Peripheral blood film · smartphone photomicrograph: 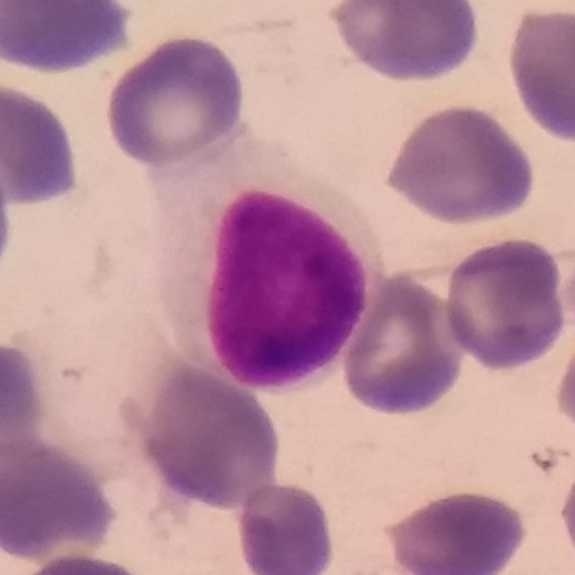
Single cell identified as a lymphocyte.